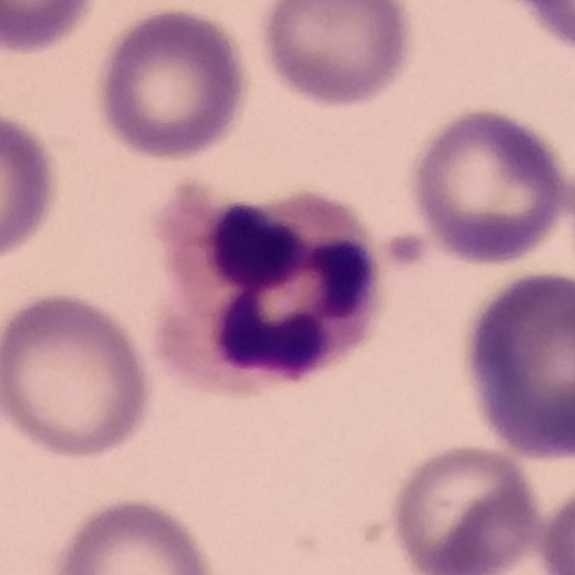 Preparation: Peripheral blood smear · smartphone camera mounted on the microscope eyepiece.

Impression — neutrophil.